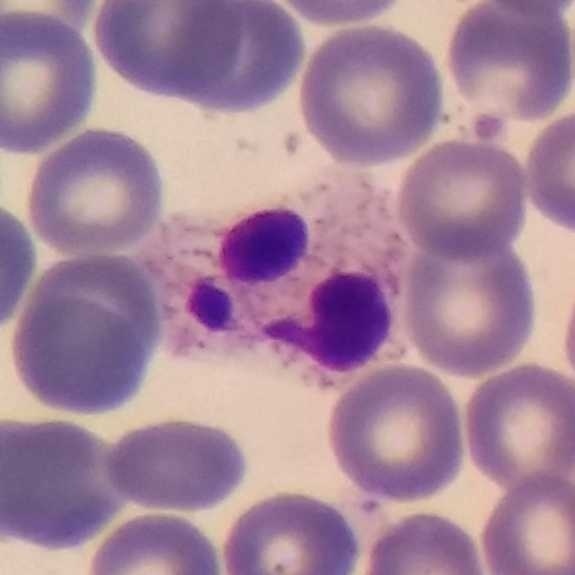Specimen: peripheral blood film.
Cell: neutrophilic granulocyte.
Lineage: myeloid.